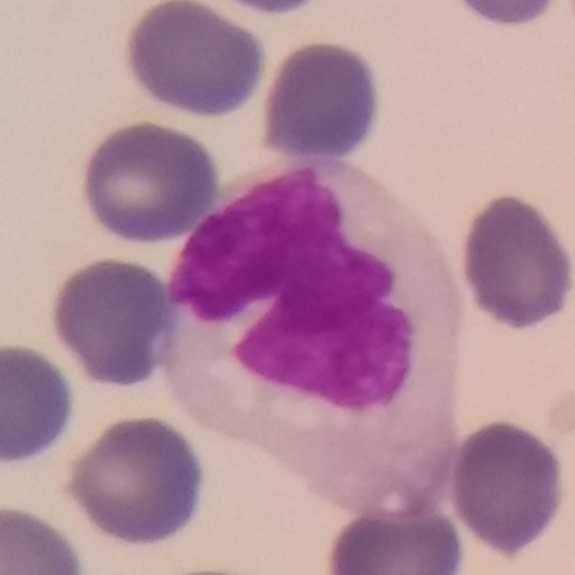
Morphological class — monocyte. Preparation: Photographed through a light microscope with a smartphone camera; single-cell field; peripheral blood film.